Peripheral blood film; Giemsa stain; 575 by 575 pixels.
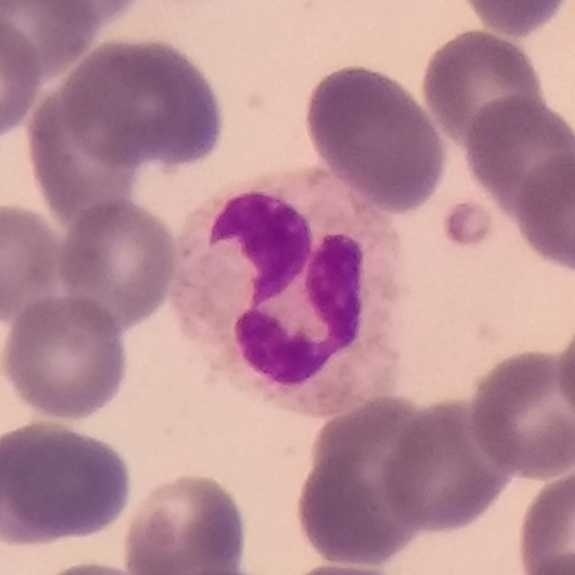

Single cell identified as a neutrophil.